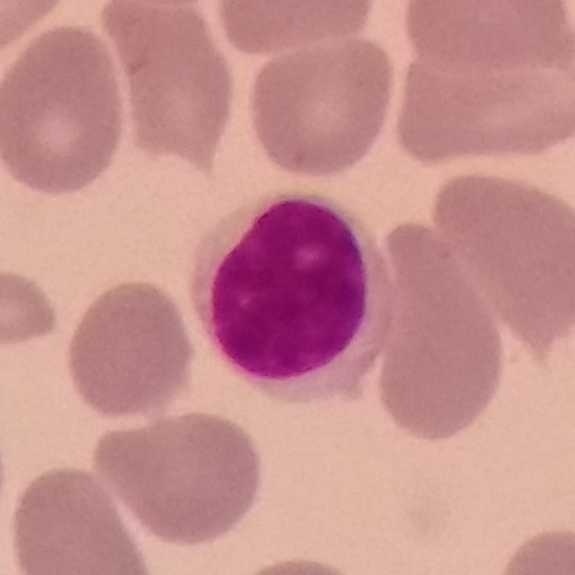
Cell type — lymphocyte. Peripheral blood smear.